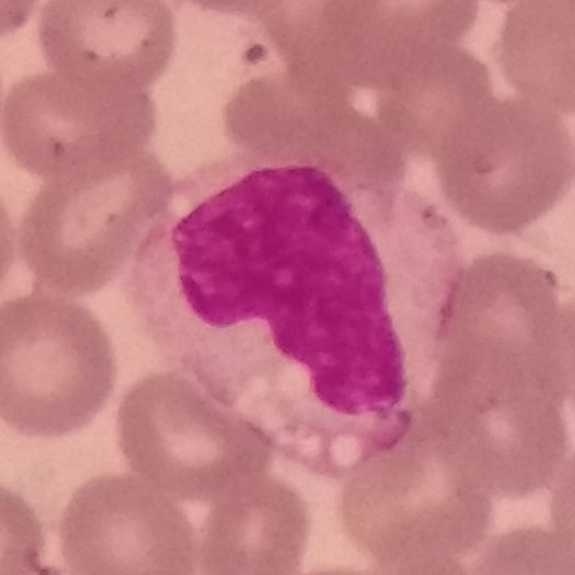 {"cell_type": "monocyte"} Preparation: 575 by 575 pixels; peripheral blood smear.